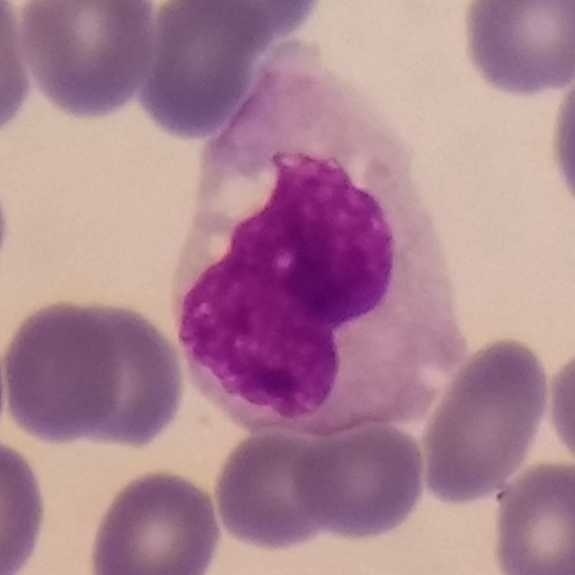
Morphological class = monocyte.
Peripheral blood film.